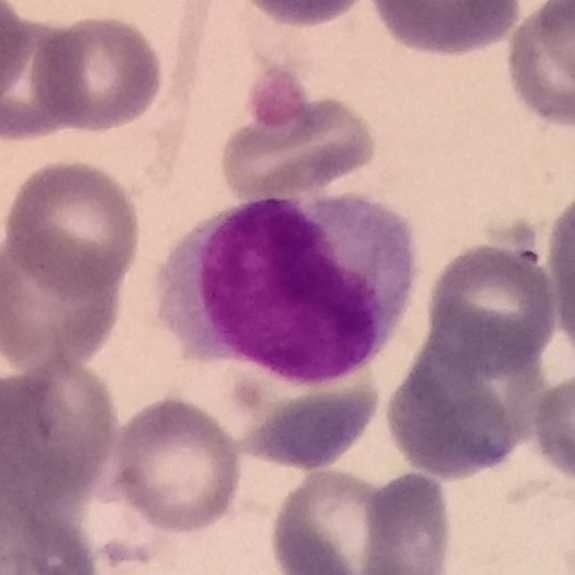

Specimen: peripheral blood smear.
Morphological class: lymphocyte.
Lineage: lymphoid. Context: Giemsa stain; magnification 100×.